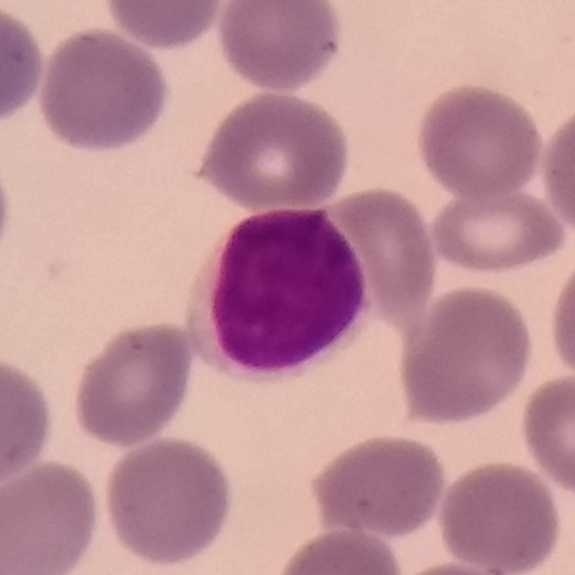 Q: What is shown here?
A: It is a lymphocyte.